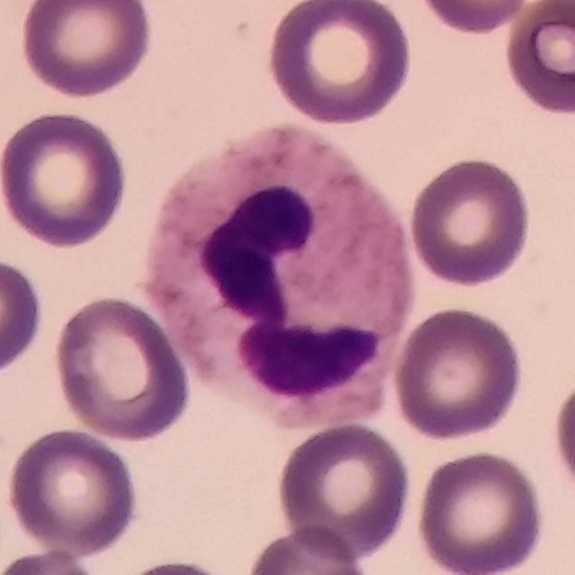 Q: What is the morphological classification of this cell?
A: This is a neutrophil granulocyte.

Image size 575×575; peripheral blood film.